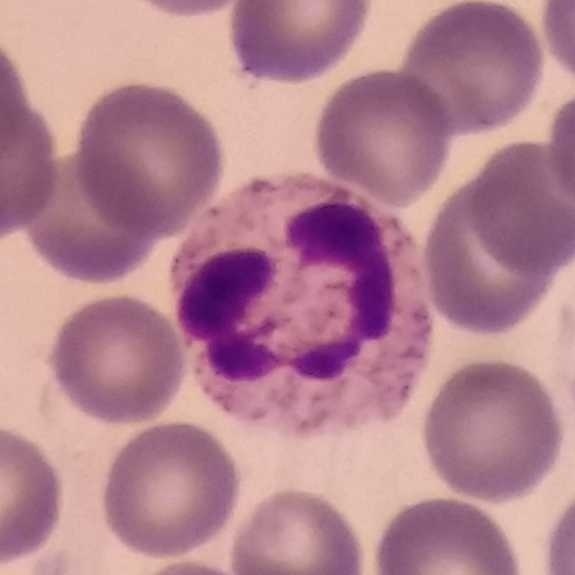 Peripheral blood film, single cell — neutrophilic granulocyte.